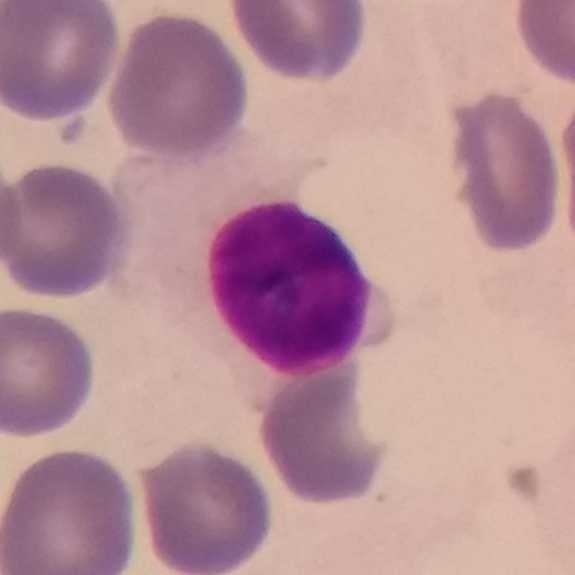Q: Which type of white blood cell is this?
A: It is a lymphocyte.
Giemsa stain; peripheral blood smear.